Peripheral blood smear.
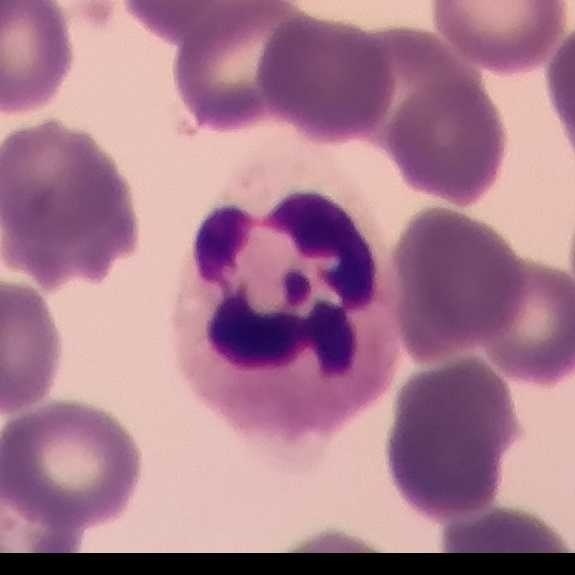

Cell type = neutrophilic granulocyte.